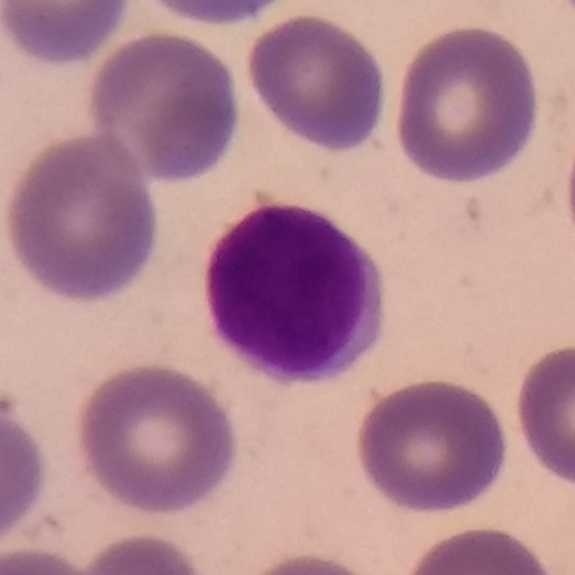White blood cell type: lymphocyte.
Preparation: Peripheral blood film.